Peripheral blood film — 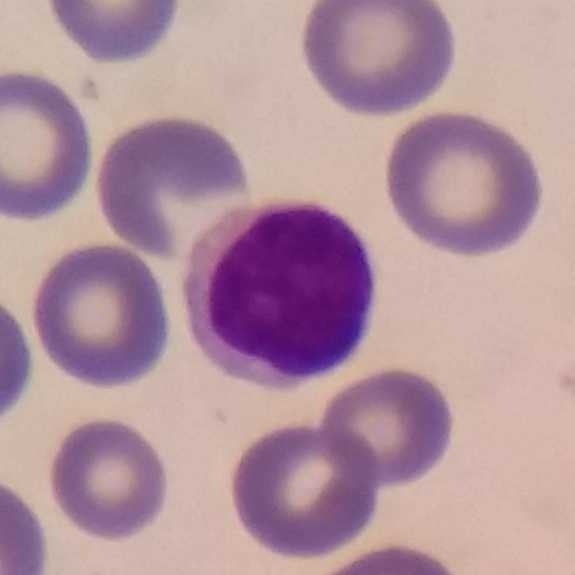 The white blood cell type is lymphocyte.